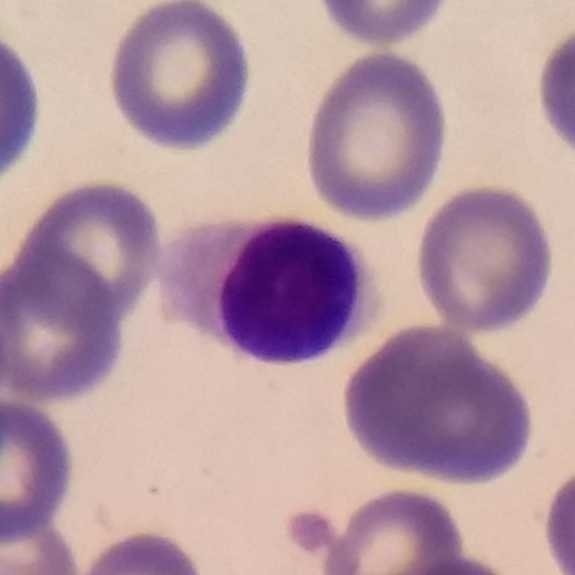Classification: lymphocyte.